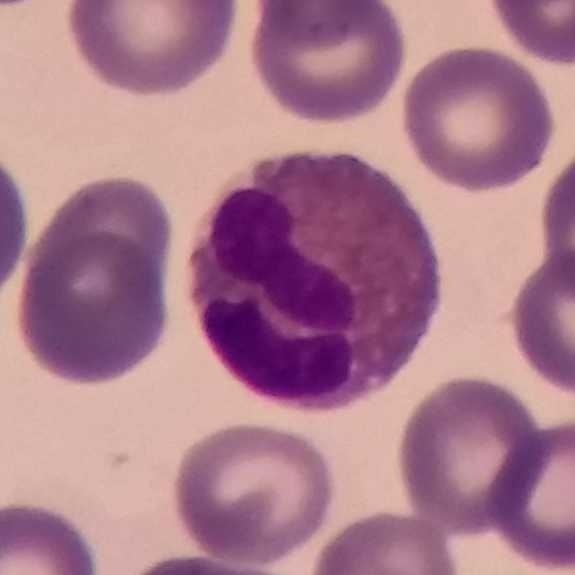 Showing an eosinophil.